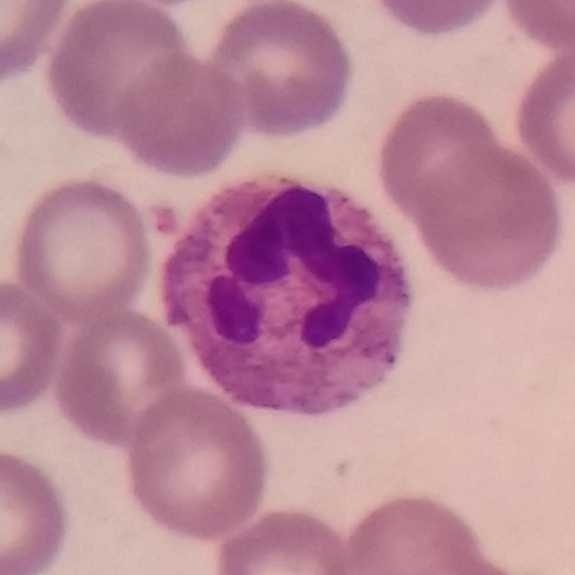

A neutrophil granulocyte.

Preparation: Single white blood cell cropped from the smear photograph. Peripheral blood smear. Smartphone camera mounted on the microscope eyepiece.